Peripheral blood film. Cropped to one leukocyte. Giemsa-stained: 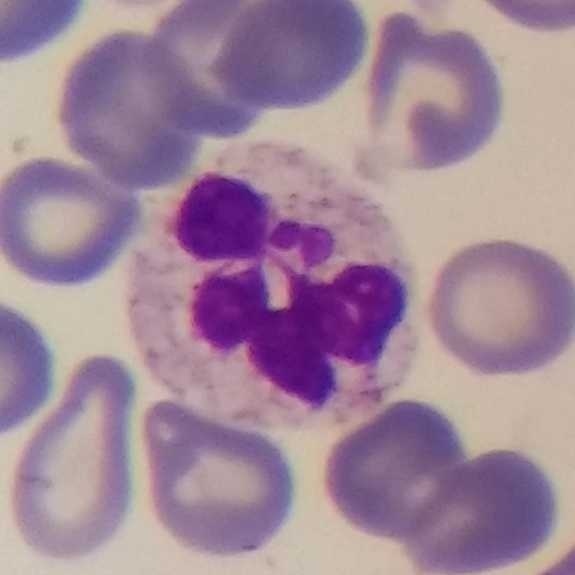
Showing a neutrophilic granulocyte.